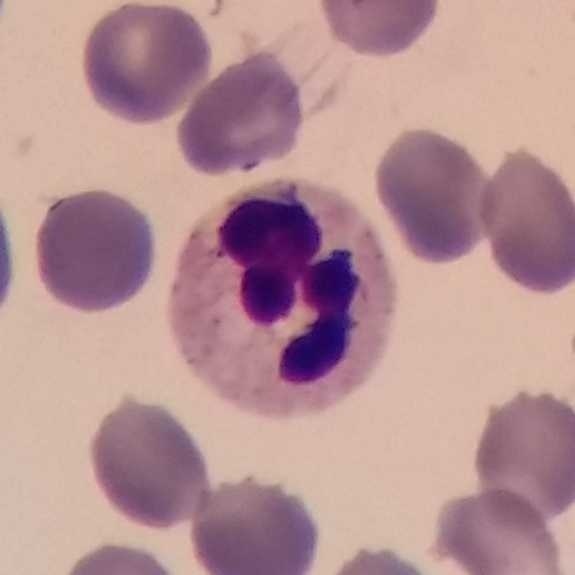
The white blood cell in this image is a neutrophil.

Acquisition: Peripheral blood film · single white blood cell cropped from the smear photograph.